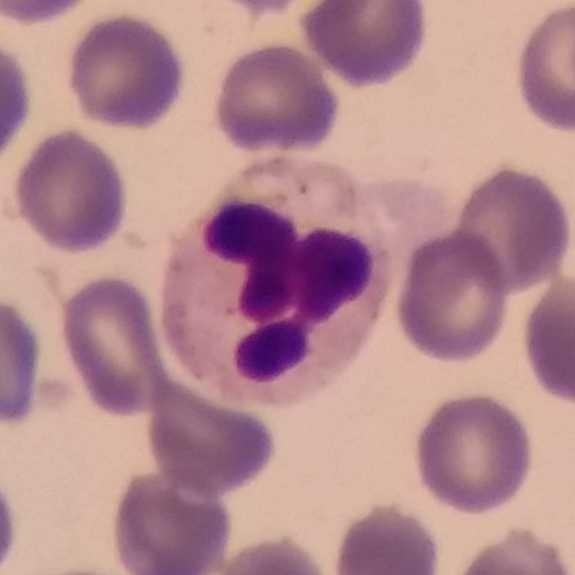 Context: Cropped to one leukocyte.

Specimen: peripheral blood film.
Cell type: neutrophil.
Lineage: myeloid.